Peripheral blood smear:
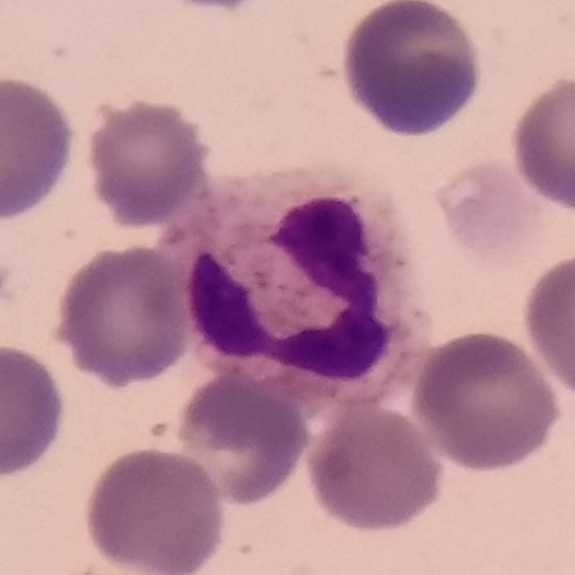

Single cell identified as a neutrophil granulocyte.